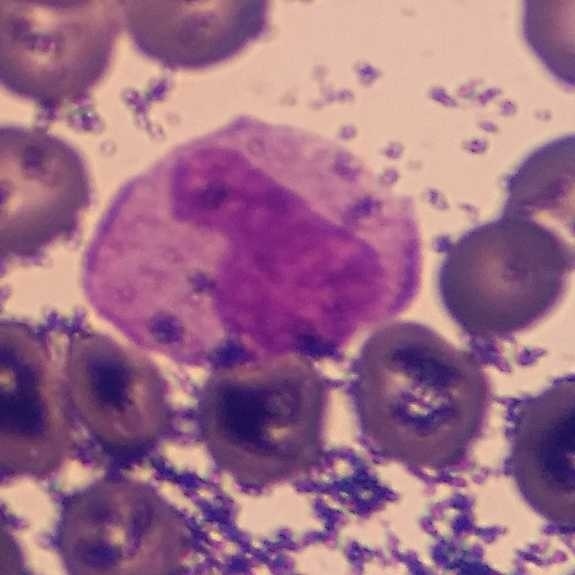
Morphology — monocyte.

Image: Phone-camera image taken through the microscope ocular. Stained with Giemsa. Peripheral blood film.